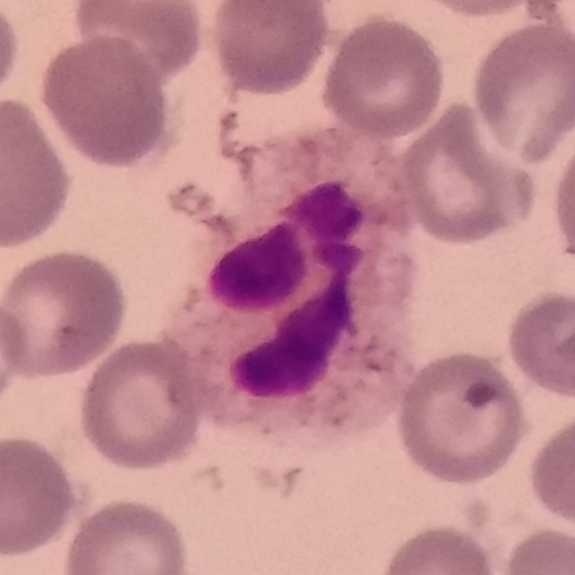

Q: What is this?
A: It is a neutrophilic granulocyte. Peripheral blood smear · single-cell crop · photographed through a light microscope with a smartphone camera.